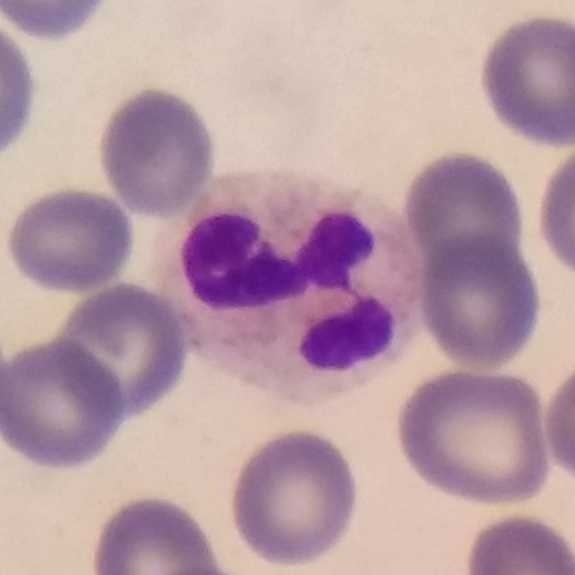
A neutrophil granulocyte.

Preparation: Peripheral blood film; stained with Giemsa.